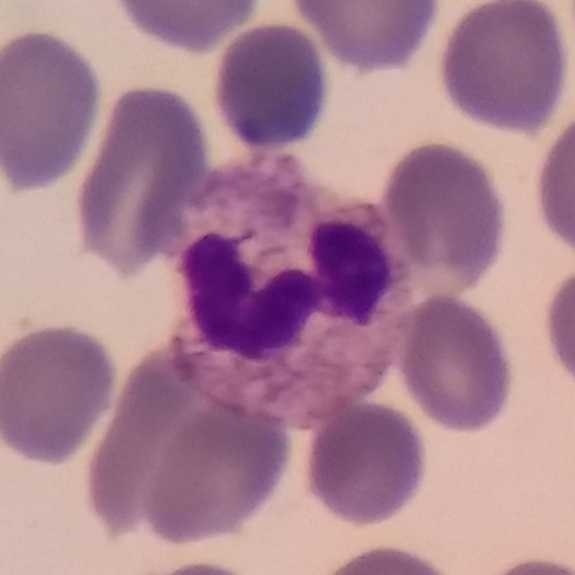Q: Identify the cell.
A: It is a neutrophilic granulocyte.

Peripheral blood film.